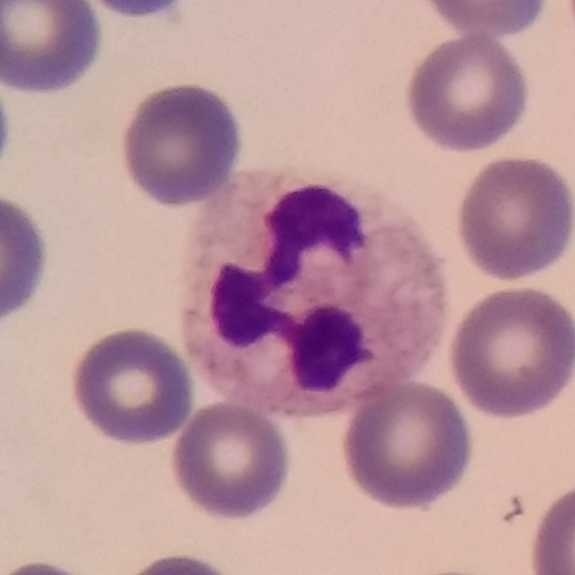

{"cell_type": "neutrophil granulocyte", "lineage": "myeloid"} Context: Peripheral blood film.